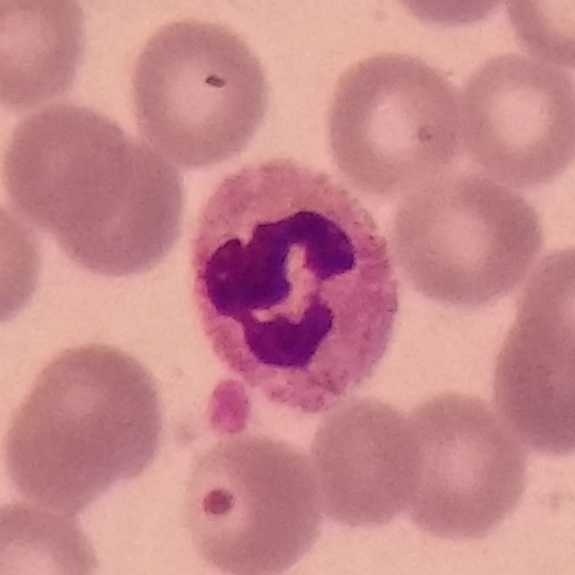The white blood cell in this image is a neutrophil.